Single white blood cell cropped from the smear photograph. Peripheral blood smear:
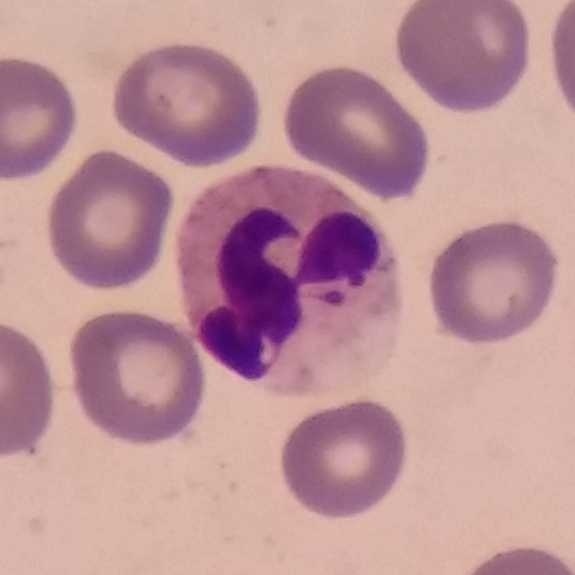

The classification is neutrophilic granulocyte.